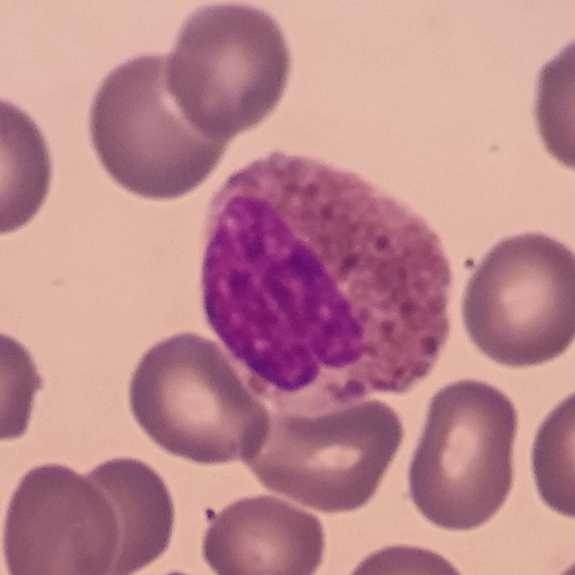

Image: Peripheral blood film. Giemsa-stained. 575×575 px. Q: Which type of white blood cell is this?
A: Eosinophil.